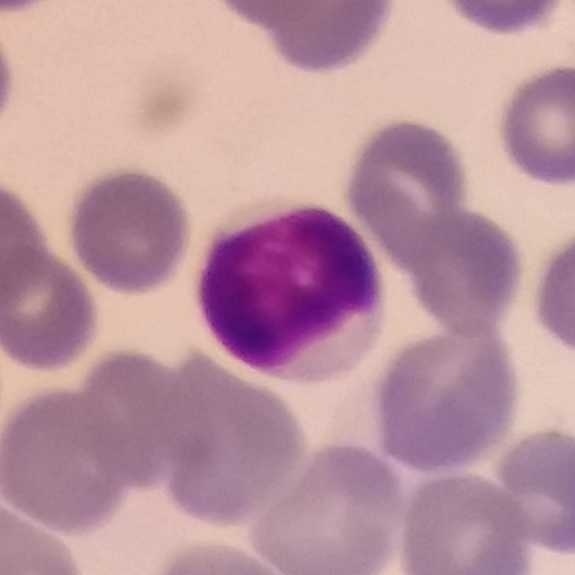

Image: Peripheral blood film · photographed through a light microscope with a smartphone camera · single-cell crop.

Q: Which type of white blood cell is this?
A: Lymphocyte.